Peripheral blood film — 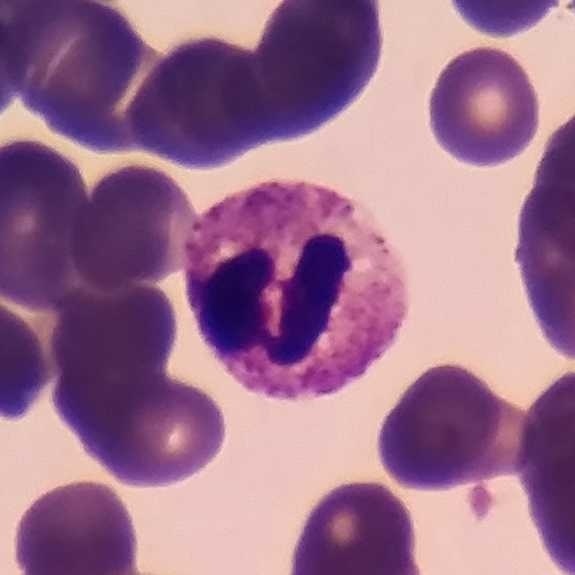 Specimen: peripheral blood smear.
White blood cell type: neutrophilic granulocyte.